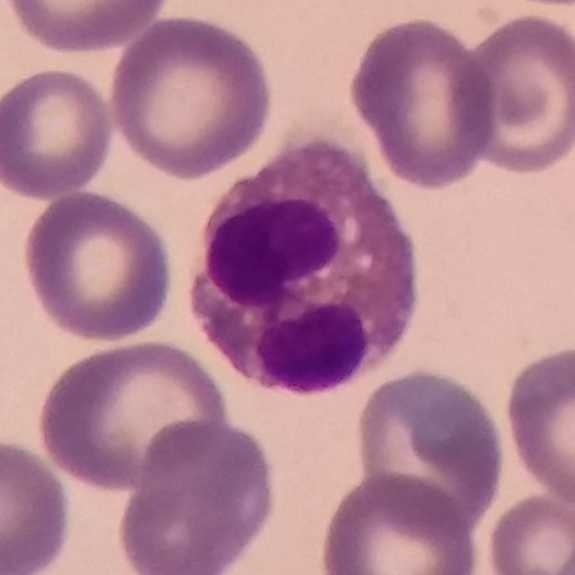
White blood cell from a peripheral blood smear: eosinophilic granulocyte.